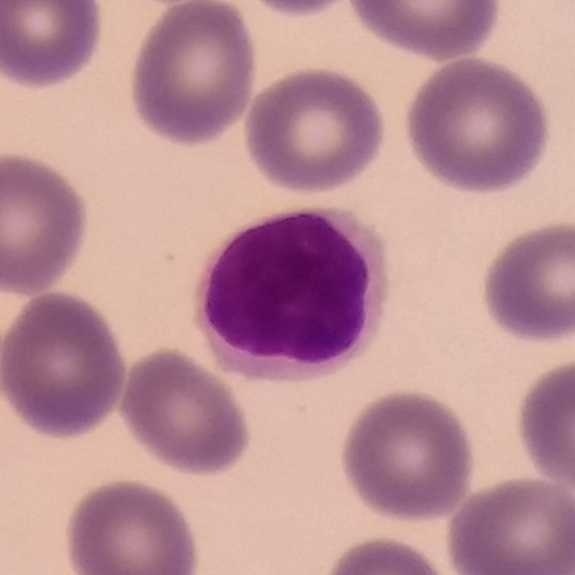 The cell shown is a lymphocyte.